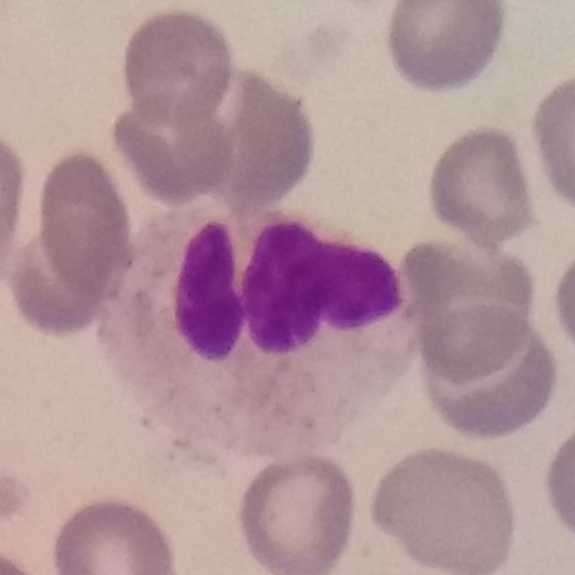Impression → neutrophil.

Context: Single-cell field. Giemsa-stained. Peripheral blood smear.